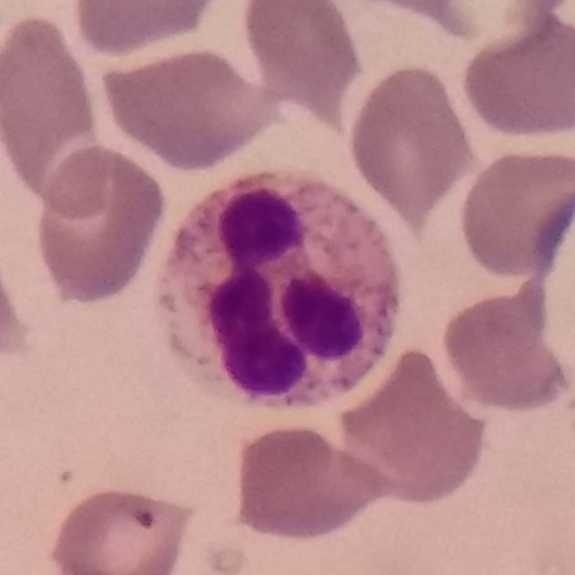
Cell type = neutrophil granulocyte. Peripheral blood smear.